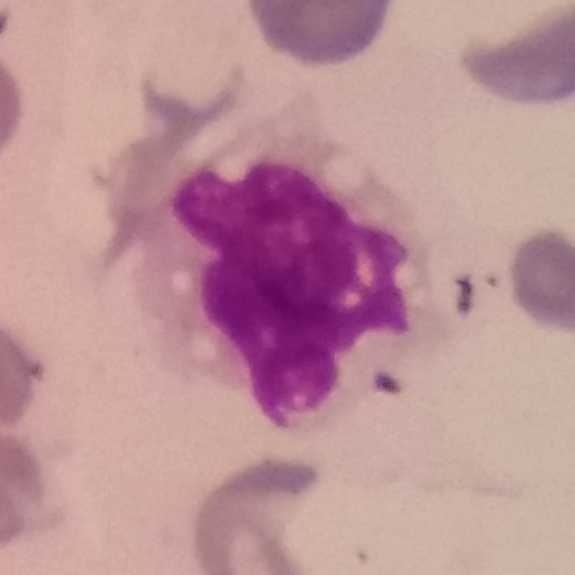

Cell: monocyte.
Image: Peripheral blood film.